Peripheral blood smear
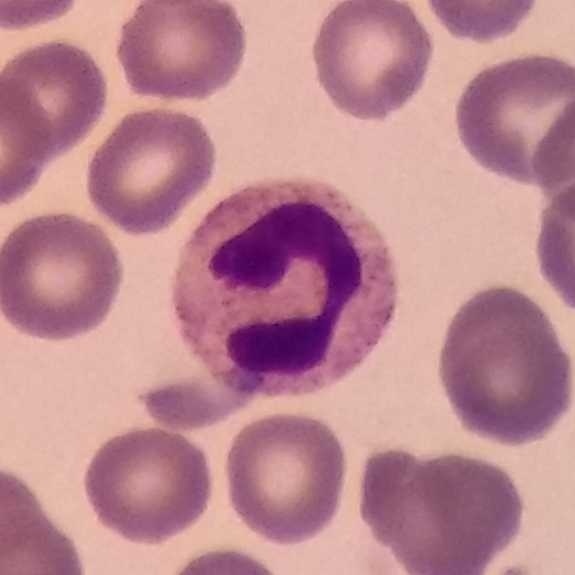 Q: What is the morphological classification of this cell?
A: It is a neutrophilic granulocyte.